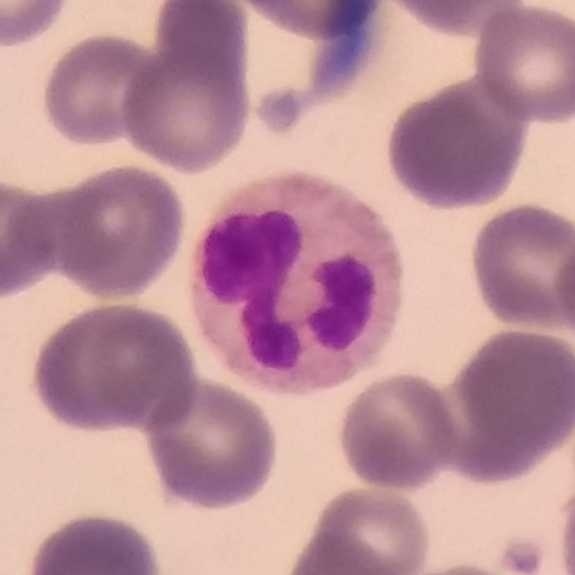

Specimen: peripheral blood film.
Morphological class: neutrophilic granulocyte.
Lineage: myeloid.